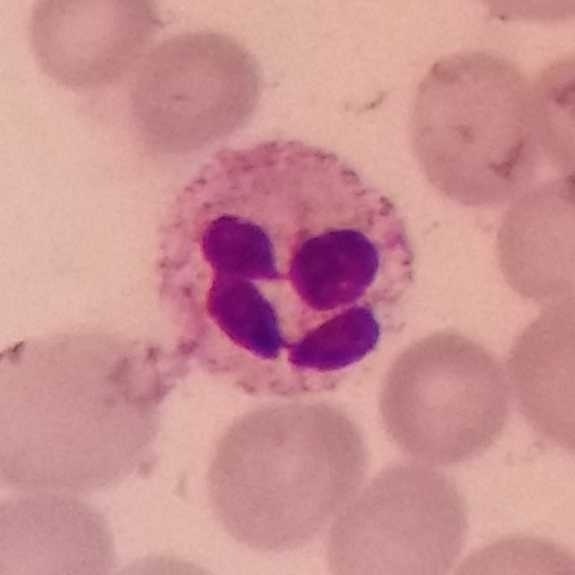Peripheral blood smear · magnification 100×. The white blood cell in this image is a neutrophil granulocyte.